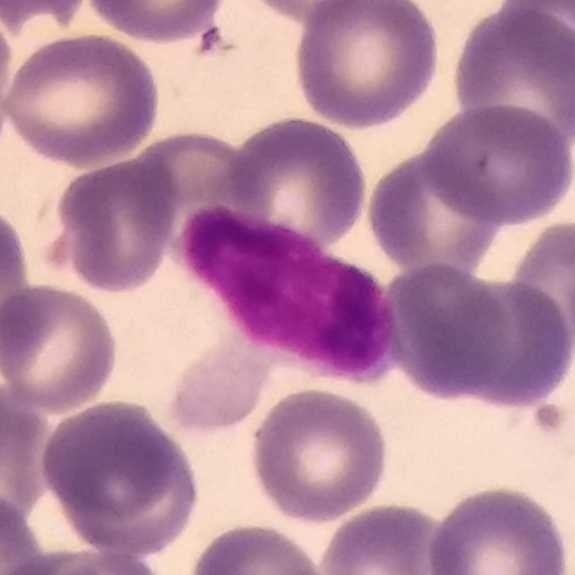The cell type is lymphocyte.

Acquisition: Peripheral blood smear.